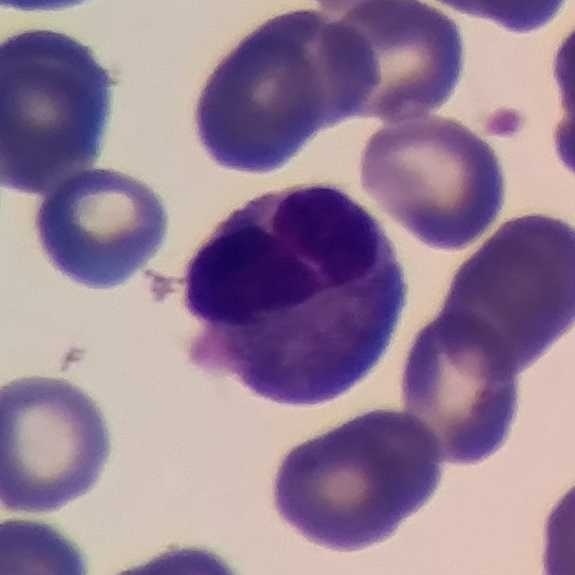 Identified as an eosinophilic granulocyte. Preparation: Peripheral blood smear.